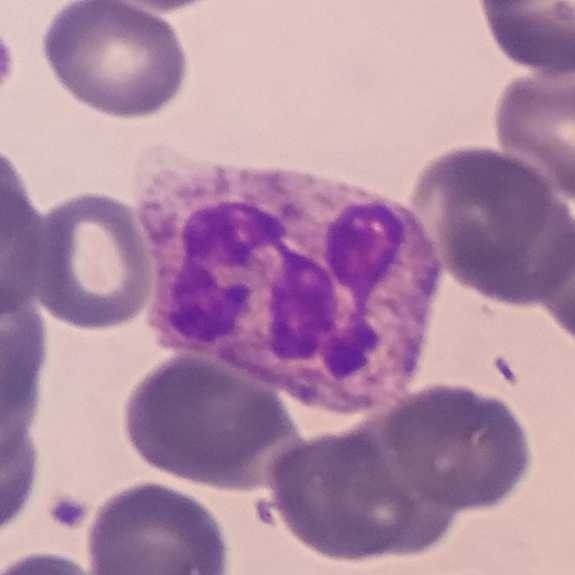Cell — neutrophil.
Preparation: Peripheral blood smear.